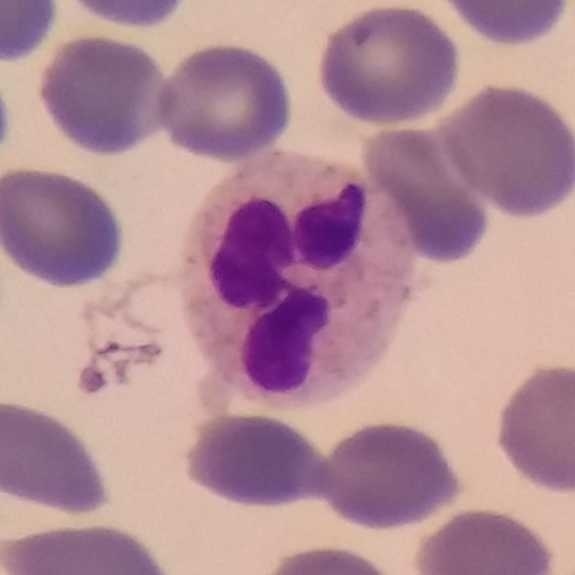 575×575.
Specimen: peripheral blood smear.
White blood cell type: neutrophil granulocyte.
Lineage: myeloid.